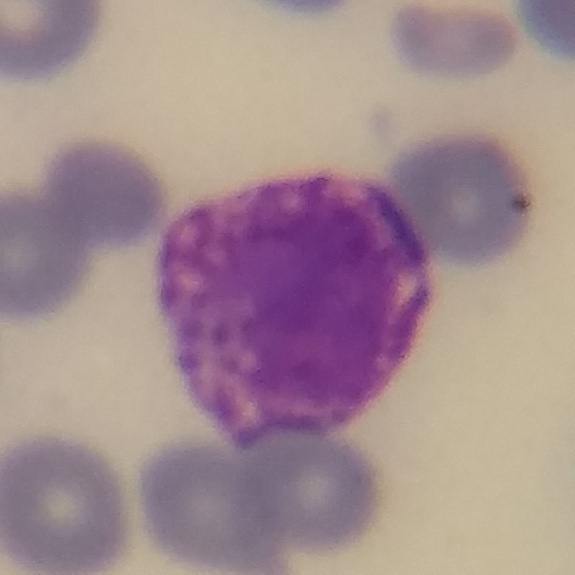
The cell shown is a basophil.

Image: Peripheral blood smear.